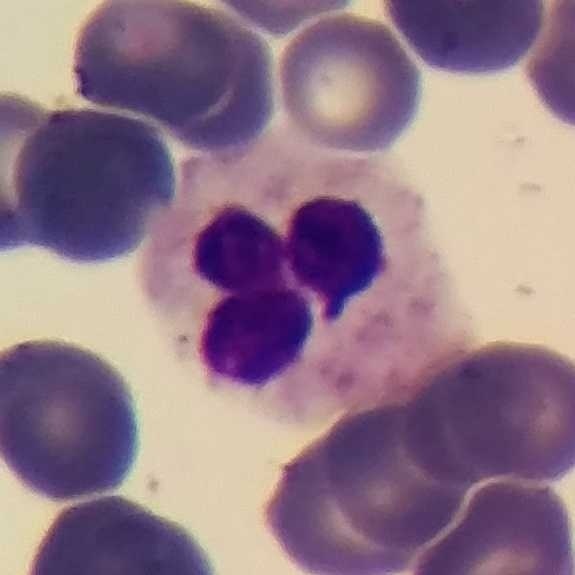

Single cell identified as a neutrophil granulocyte.

Peripheral blood film.